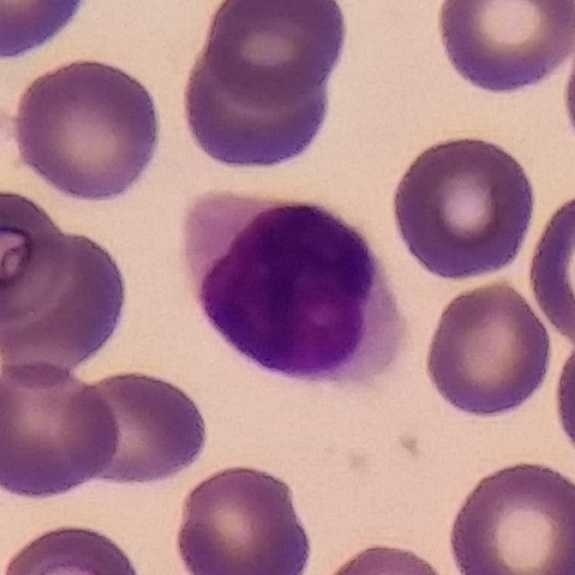{"cell_type": "lymphocyte", "lineage": "lymphoid"}
Image: Imaged at 100×; peripheral blood smear.